Peripheral blood film
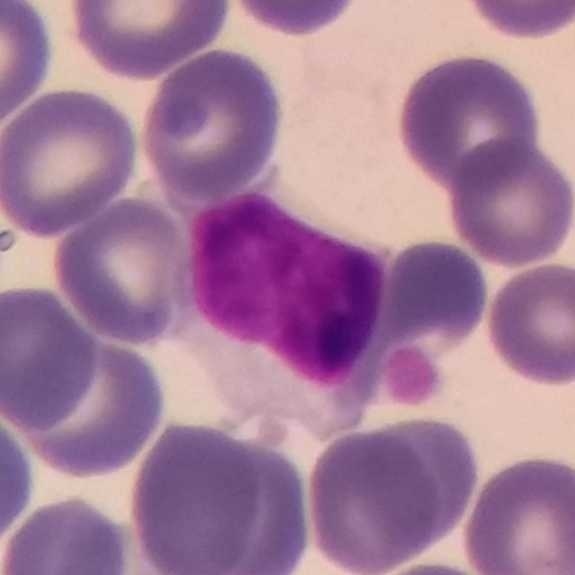
Morphology — lymphocyte.